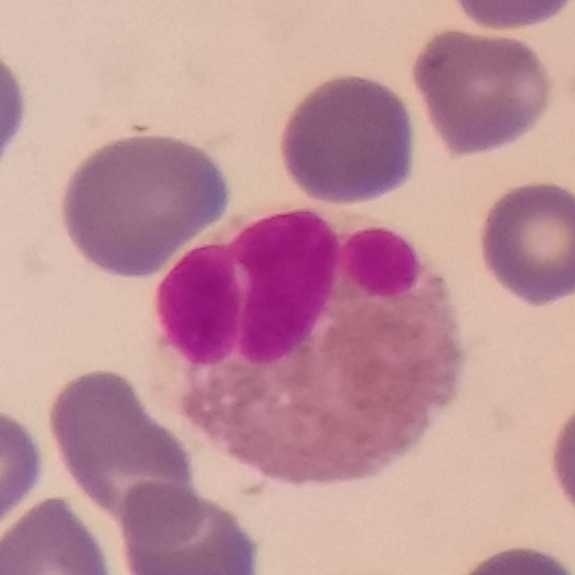
Morphology — eosinophilic granulocyte.

Acquisition: Peripheral blood smear.